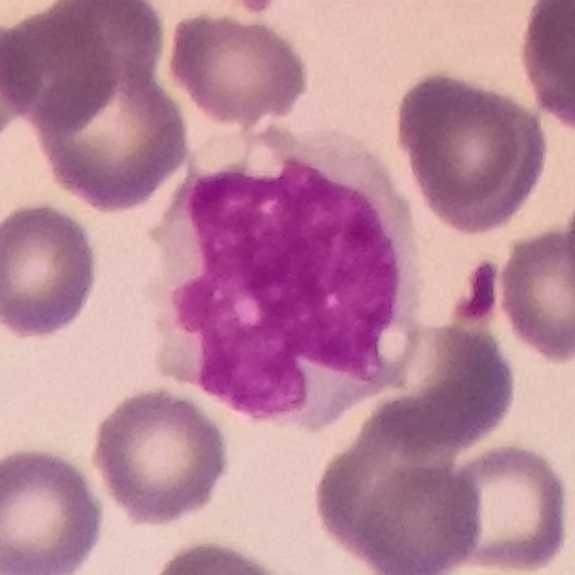The cell shown is a monocyte.
Single-cell crop. Giemsa-stained. Peripheral blood film.